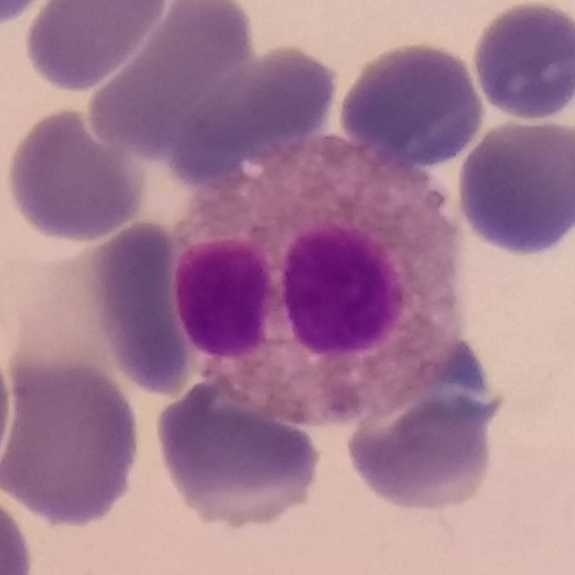Q: What is the morphological classification of this cell?
A: It is an eosinophilic granulocyte.

Preparation: Stained with Giemsa; peripheral blood smear.